575×575 px; peripheral blood film — 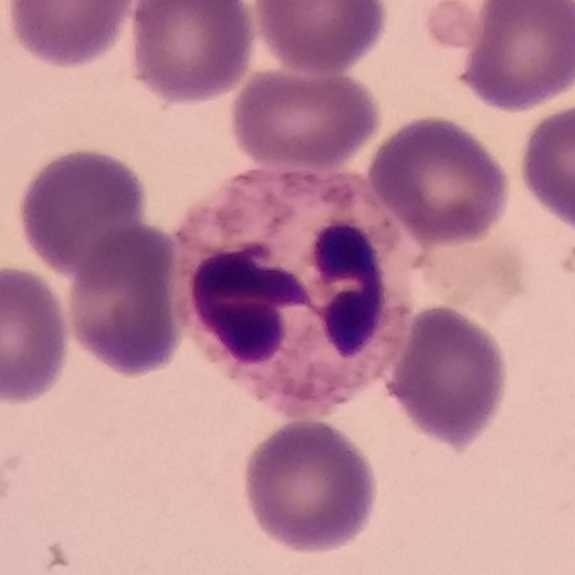
The classification is neutrophil granulocyte.